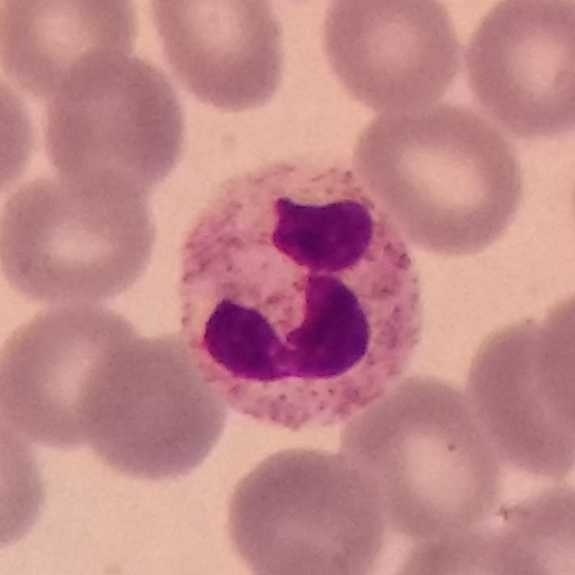The cell shown is a neutrophil.
Image: Peripheral blood smear · smartphone photomicrograph · 575×575 px.